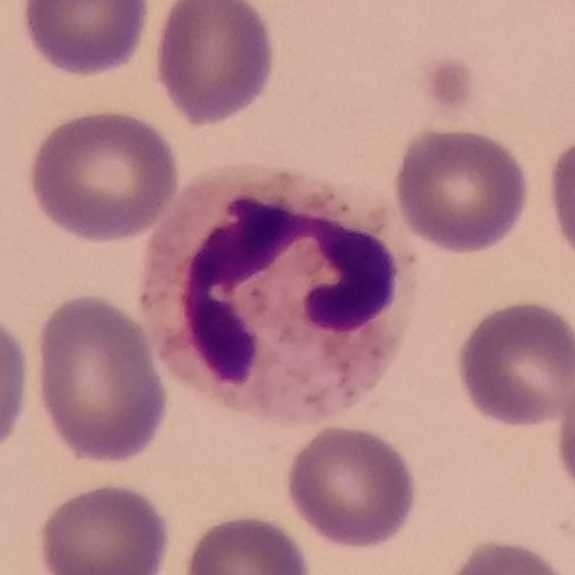

Context: Peripheral blood smear. Morphology — neutrophil.